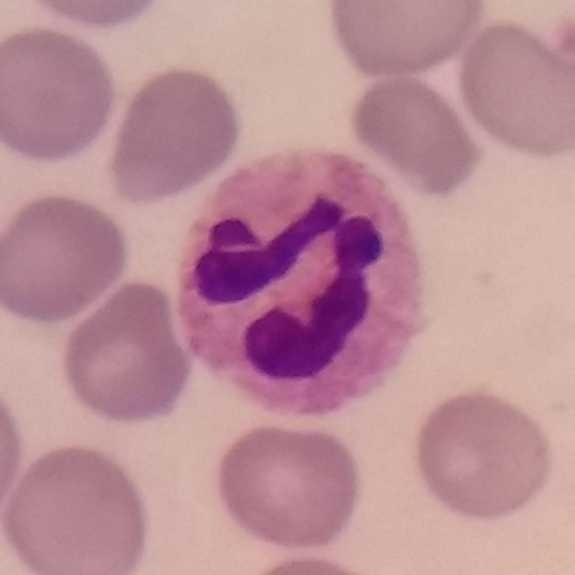
Peripheral blood film · single-cell field · smartphone camera mounted on the microscope eyepiece.
Q: What is this?
A: This is a neutrophil.